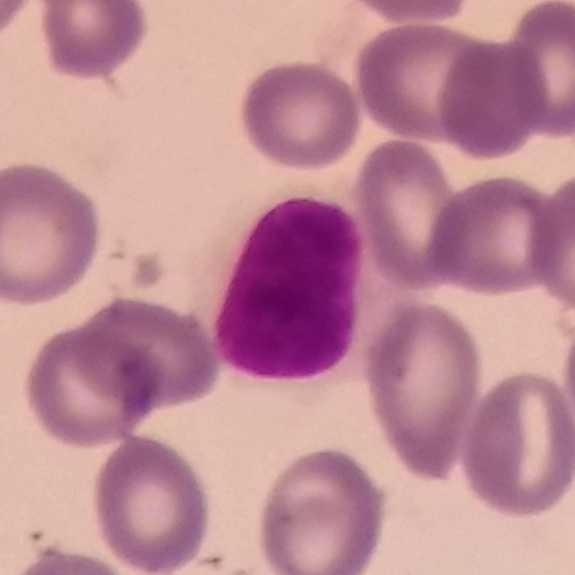
White blood cell type = lymphocyte.